Image size 575×575 · peripheral blood smear:
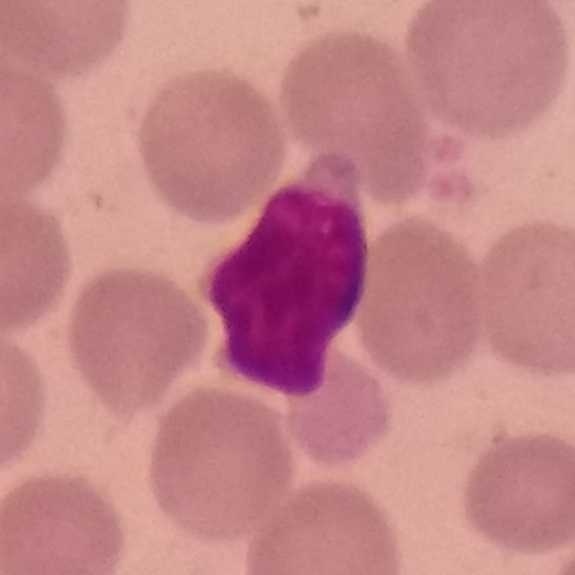Showing a lymphocyte.